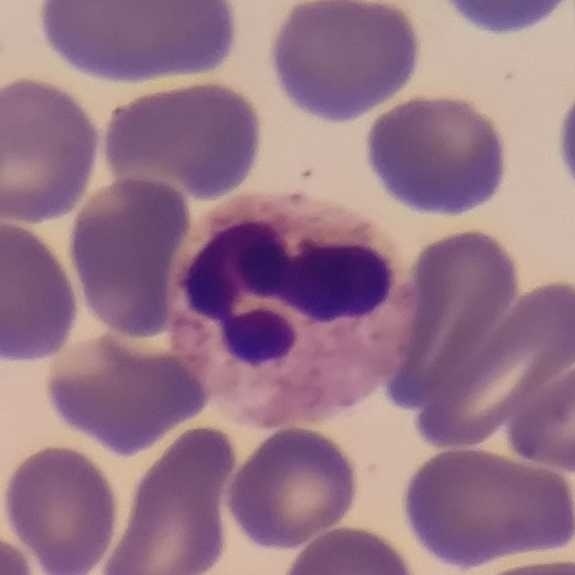 Peripheral blood smear.

Q: Classify this leukocyte.
A: It is a neutrophil.